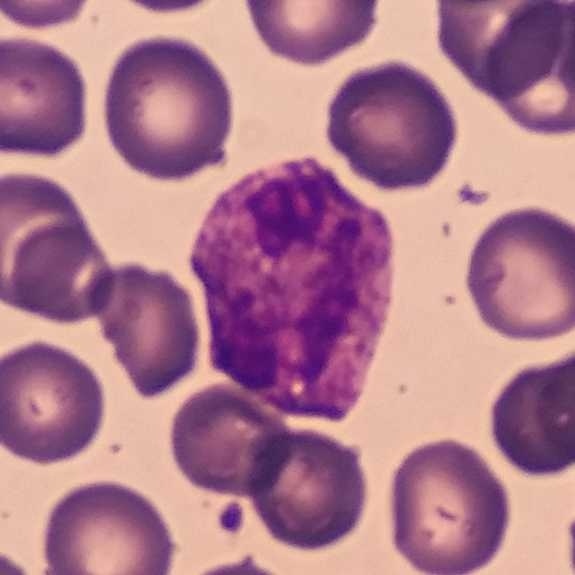 A neutrophil granulocyte.
Context: 100× magnification. Peripheral blood smear.